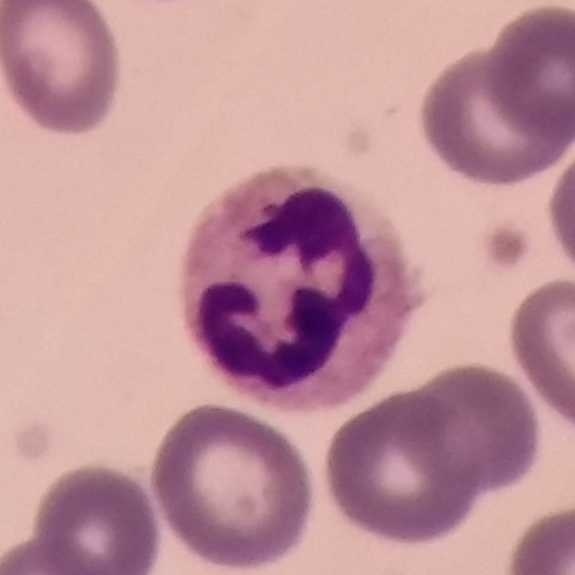
Context: Peripheral blood smear. Q: What is shown here?
A: Neutrophil.